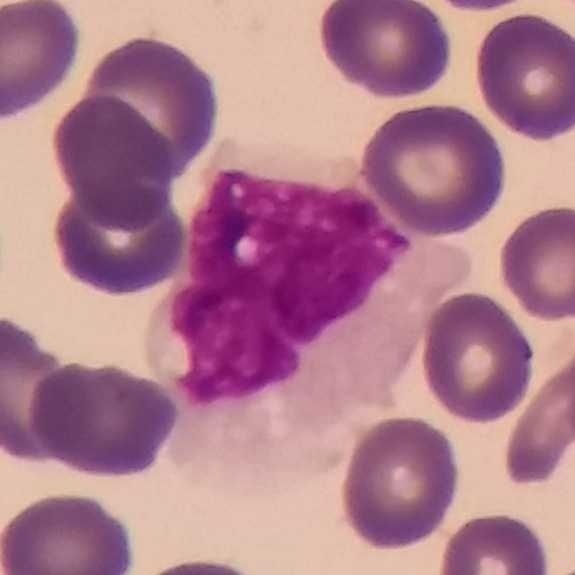

Morphology consistent with a monocyte.
Preparation: Peripheral blood film.